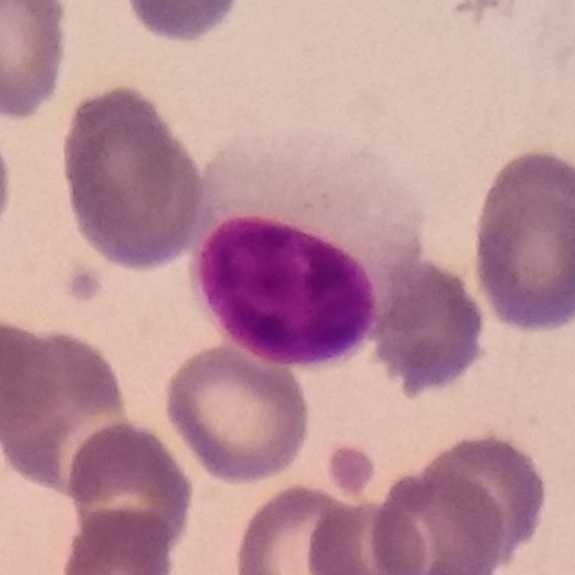
Acquisition: Peripheral blood smear. Classification: lymphocyte.